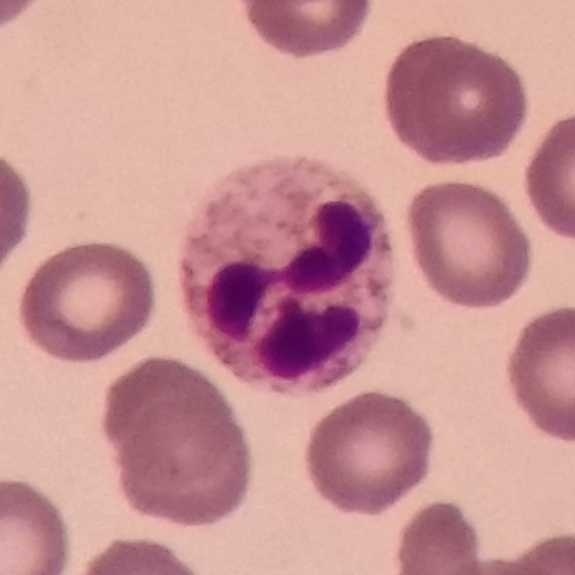
Acquisition: 575×575 px; phone-camera image taken through the microscope ocular. Specimen: peripheral blood film.
Morphological class: neutrophil.
Lineage: myeloid.